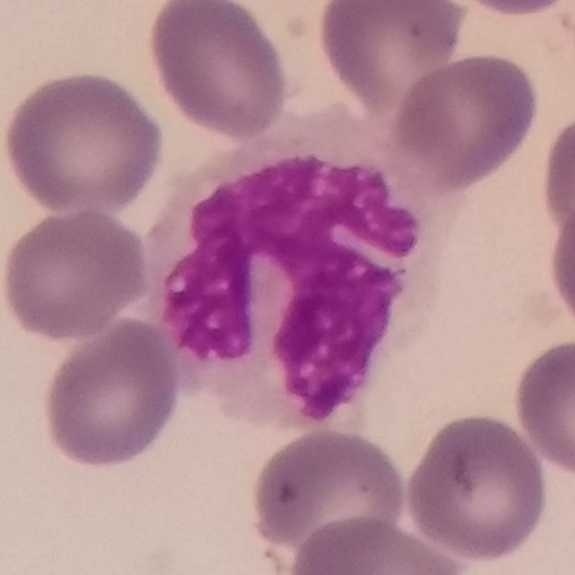
Image: Peripheral blood film.
The morphological class is monocyte.